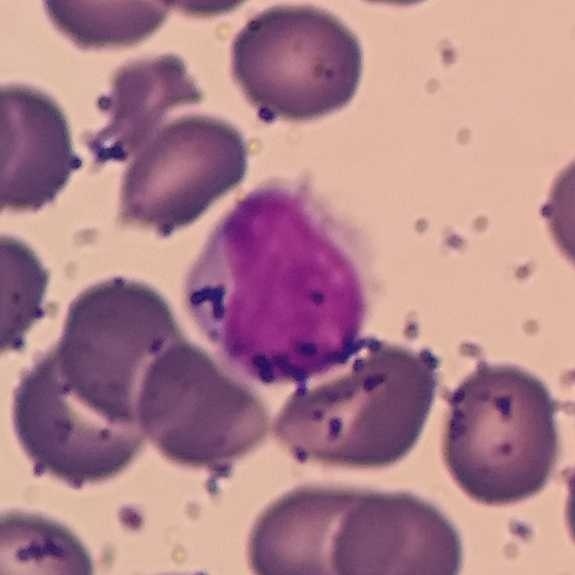

Morphology → lymphocyte.